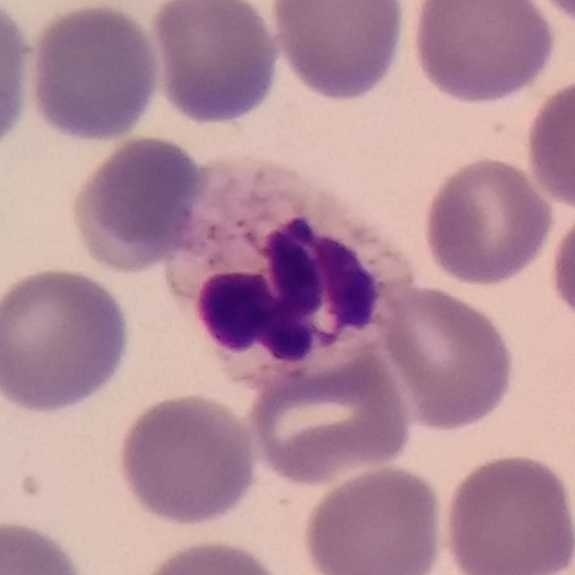
Morphology — neutrophil granulocyte. Image: Peripheral blood film.